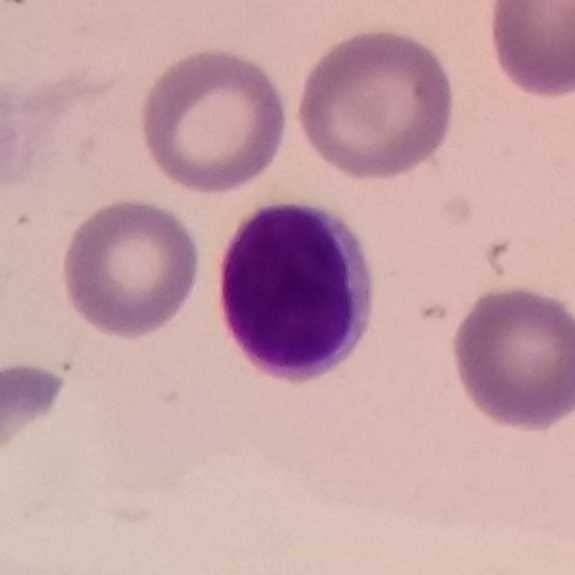
Specimen: peripheral blood film.
Cell type: lymphocyte.
Lineage: lymphoid.